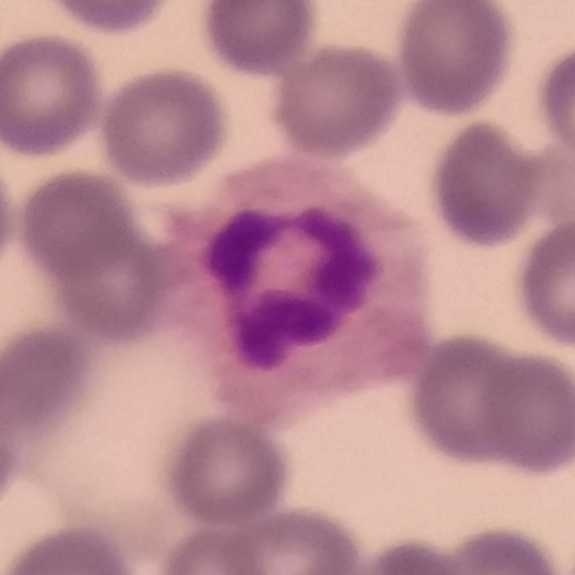Preparation: Peripheral blood smear.
{"cell_type": "neutrophil granulocyte", "lineage": "myeloid"}